Photographed through a light microscope with a smartphone camera. Peripheral blood film: 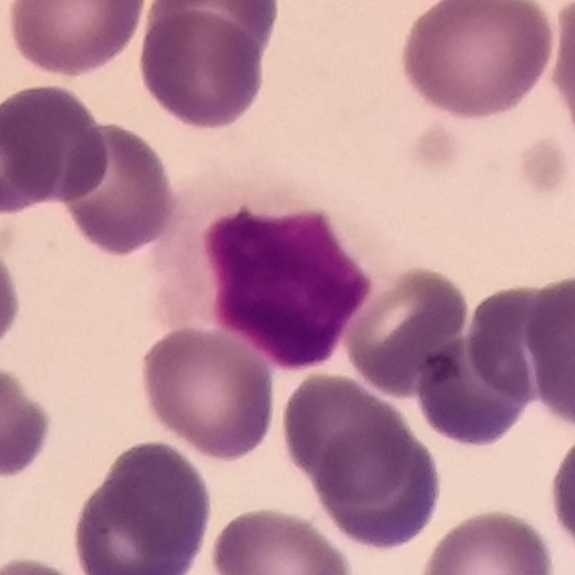
Specimen: peripheral blood film.
Cell: lymphocyte.
Lineage: lymphoid.